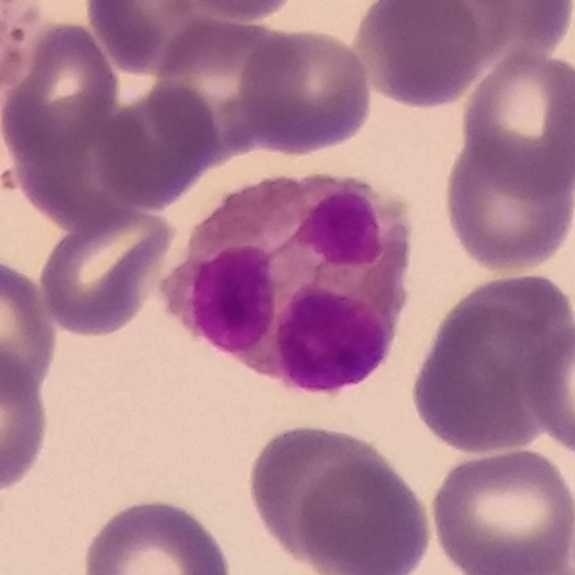
Stained with Giemsa · peripheral blood smear. The white blood cell in this image is an eosinophilic granulocyte.